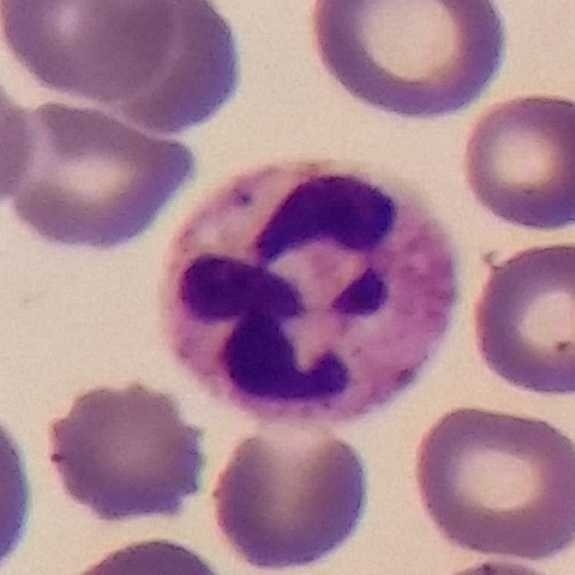Image: Peripheral blood film · Giemsa stain.

Showing a neutrophil granulocyte.